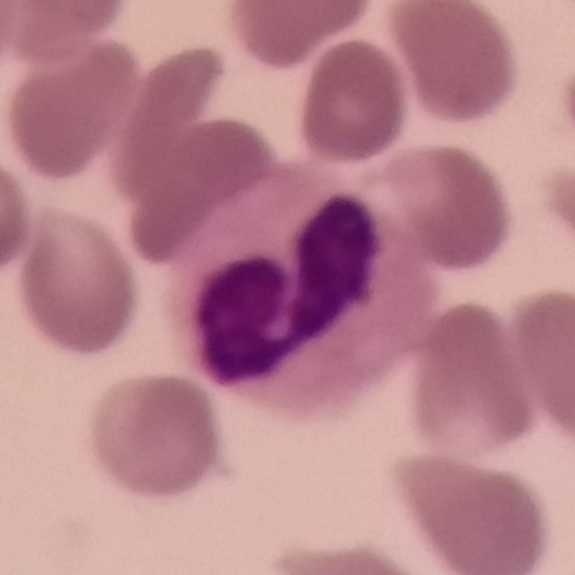 Preparation: Image size 575×575. Peripheral blood smear. Smartphone photomicrograph. Single cell identified as a neutrophil.